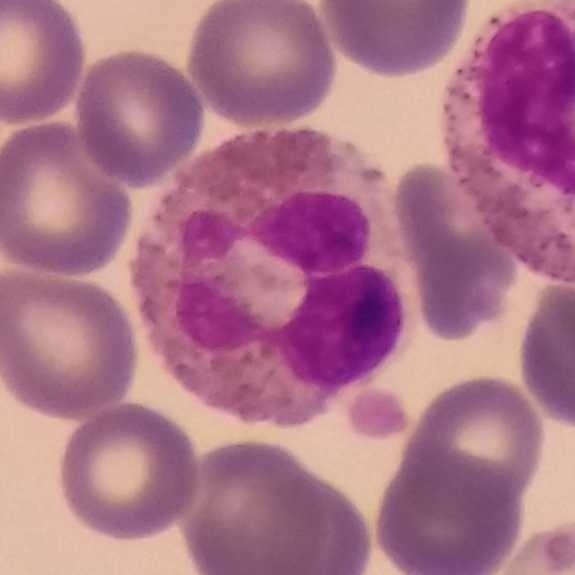Q: Which type of white blood cell is this?
A: It is an eosinophil.